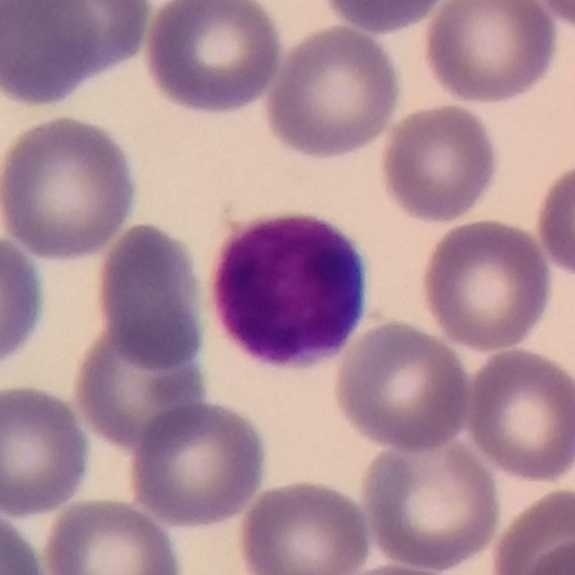The classification is lymphocyte.
Context: Peripheral blood smear.